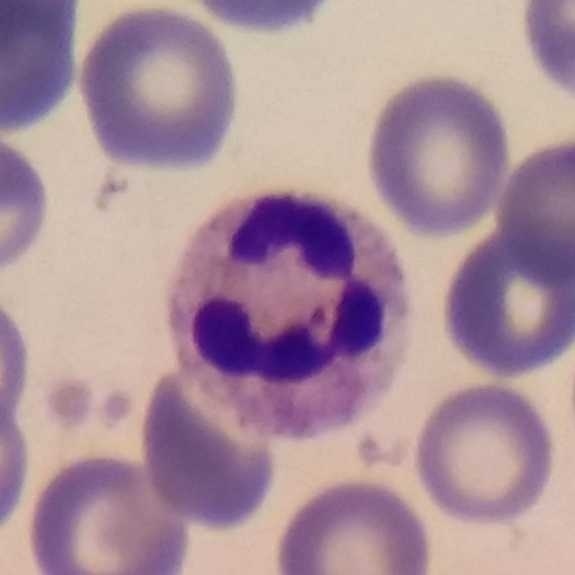

Peripheral blood film; stained with Giemsa. Identified as a neutrophilic granulocyte.